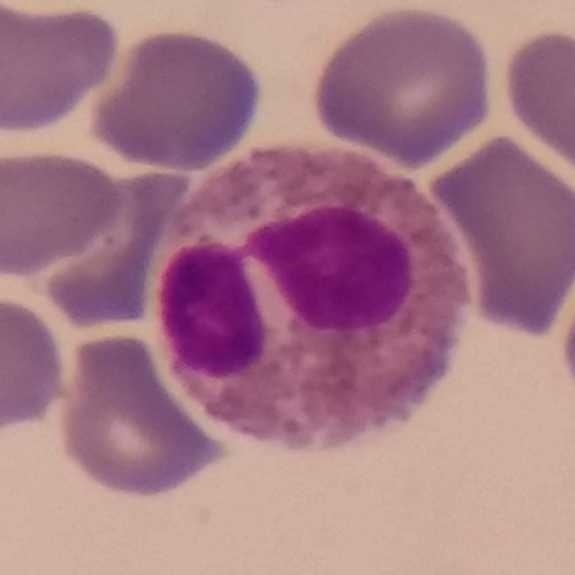
An eosinophil.

Acquisition: Peripheral blood smear.